Peripheral blood smear:
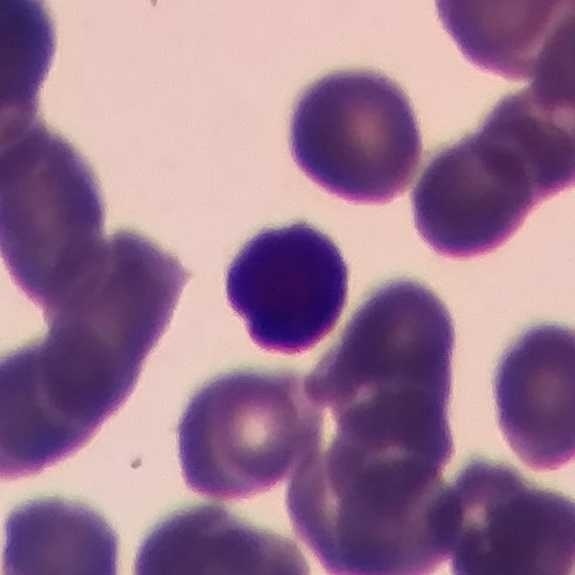

White blood cell type = lymphocyte.